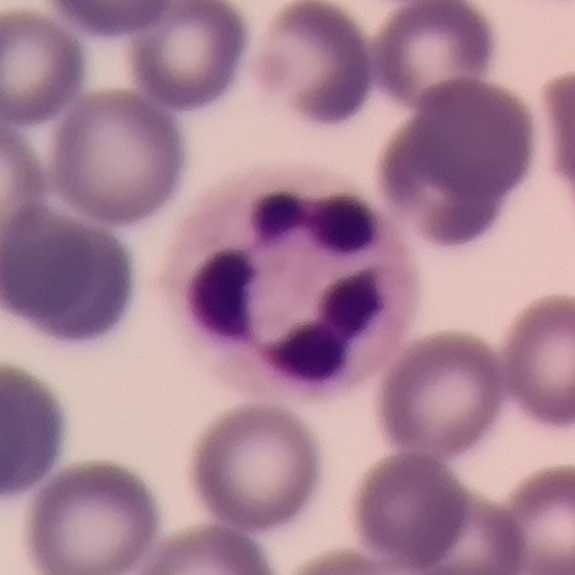The classification is neutrophil.